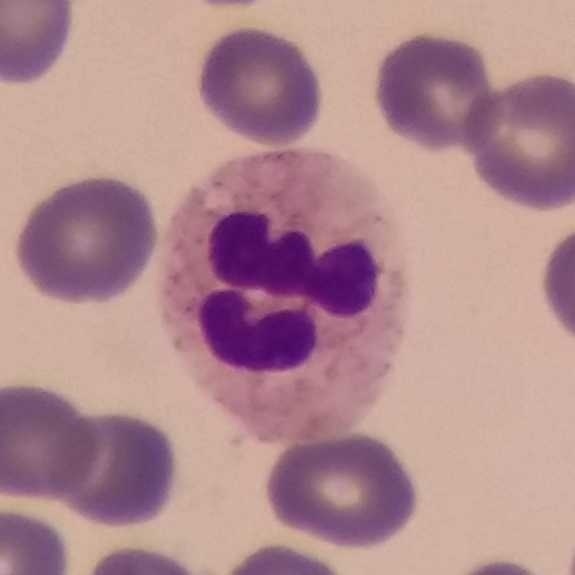{"cell_type": "neutrophilic granulocyte"}
Preparation: 575 by 575 pixels. Peripheral blood smear.